Peripheral blood smear — 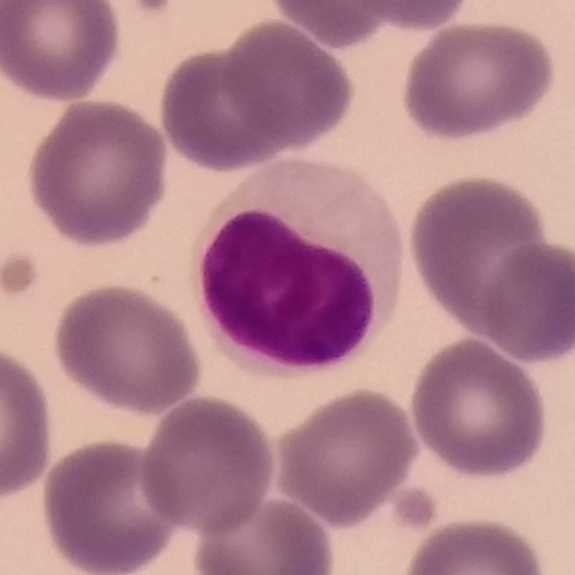
Showing a lymphocyte.